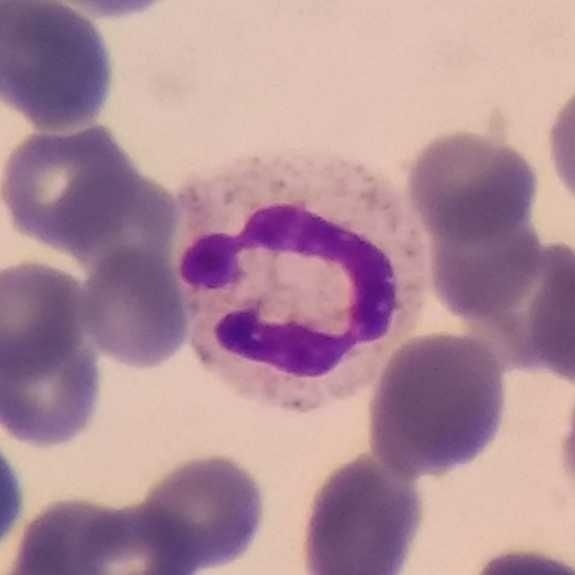

Morphology consistent with a neutrophilic granulocyte.

Peripheral blood smear.